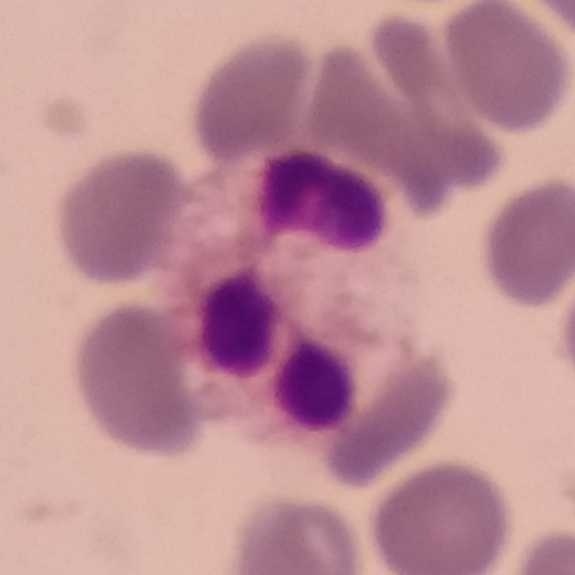Identified as a neutrophilic granulocyte.

Peripheral blood film.